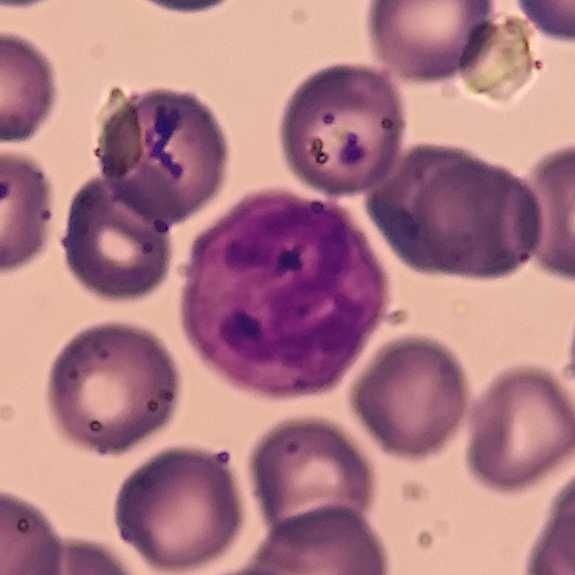White blood cell type — neutrophil.